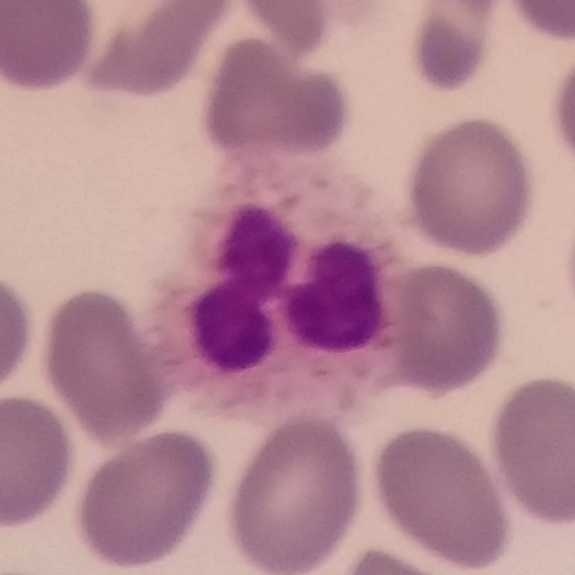 Morphological class = neutrophilic granulocyte.